Giemsa stain; peripheral blood smear — 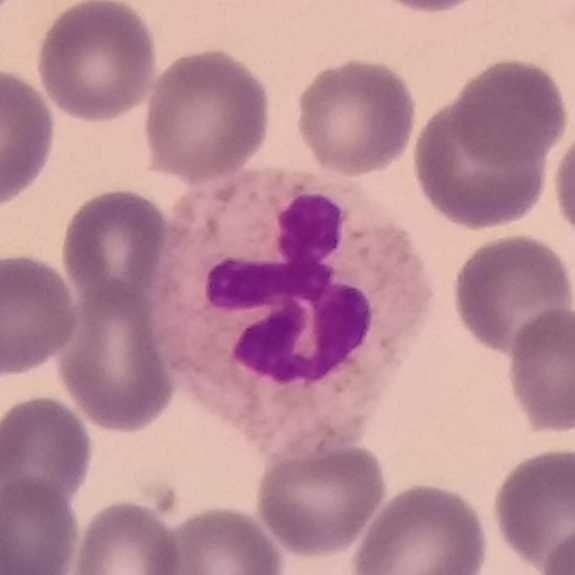

The cell shown is a neutrophil.